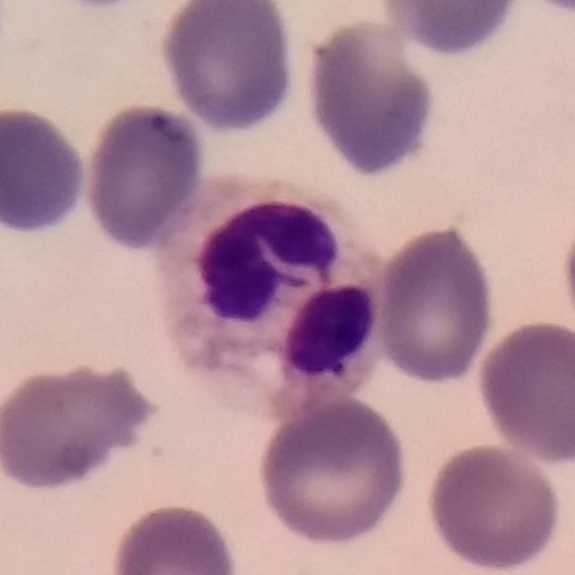 Peripheral blood smear. Classification = neutrophilic granulocyte.